Peripheral blood film
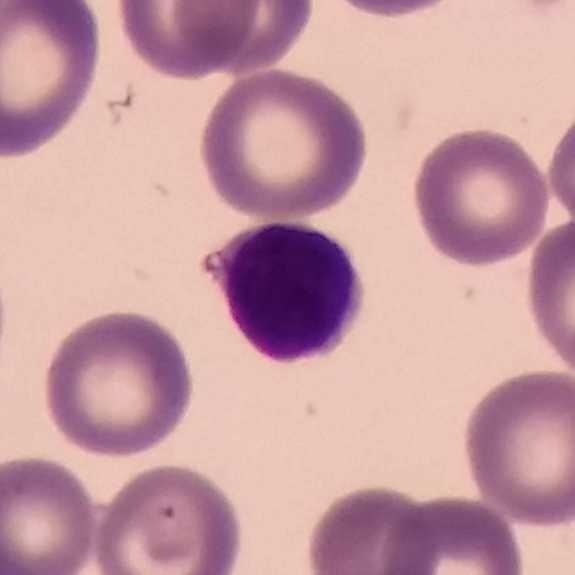Q: What is the morphological classification of this cell?
A: Lymphocyte.